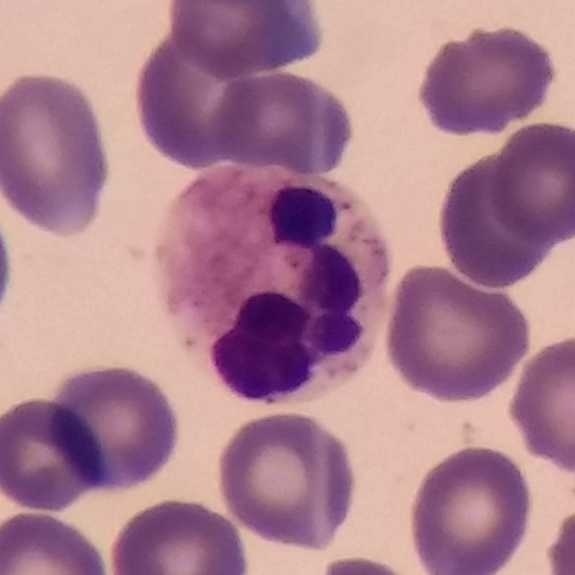

Morphology → neutrophil granulocyte.

575×575. Peripheral blood film. Magnification 100×.